Peripheral blood smear.
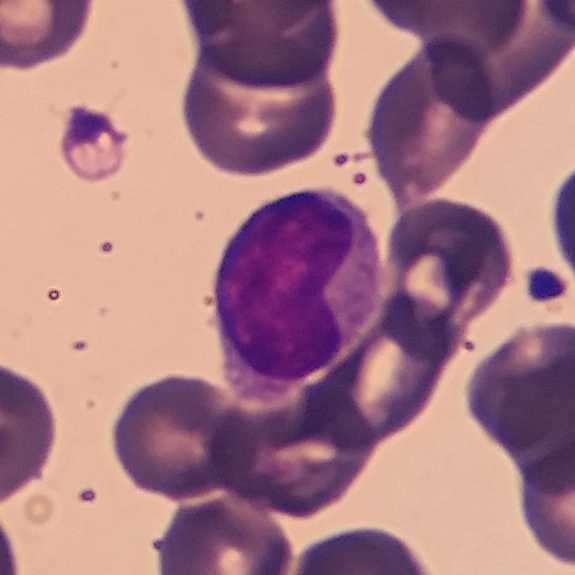The cell type is lymphocyte.